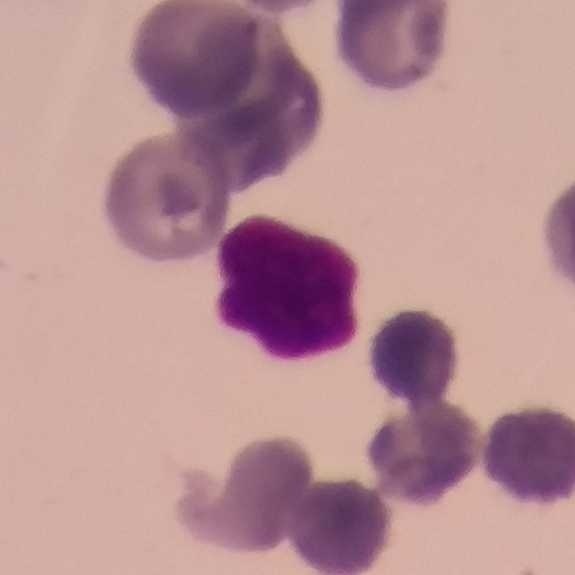Specimen: peripheral blood film.
White blood cell type: lymphocyte.
Lineage: lymphoid.